Smartphone camera mounted on the microscope eyepiece · peripheral blood smear — 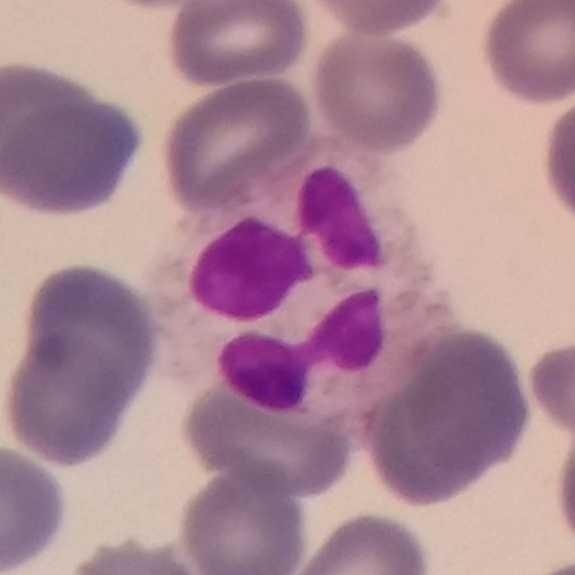
Impression → neutrophil.